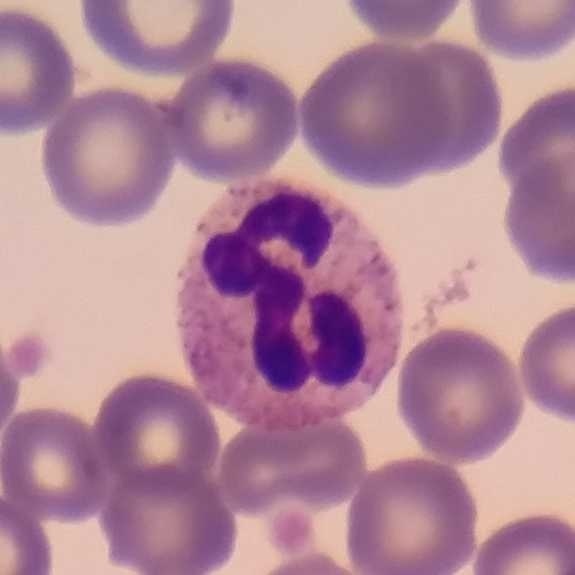The white blood cell type is neutrophilic granulocyte.